Peripheral blood film
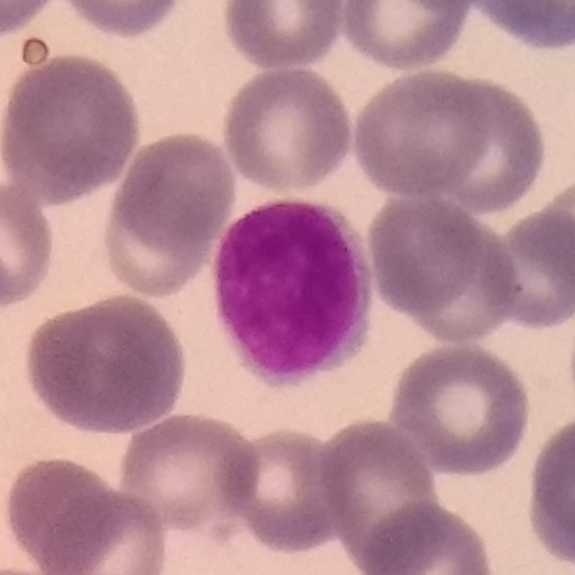Classification — lymphocyte.